Peripheral blood film.
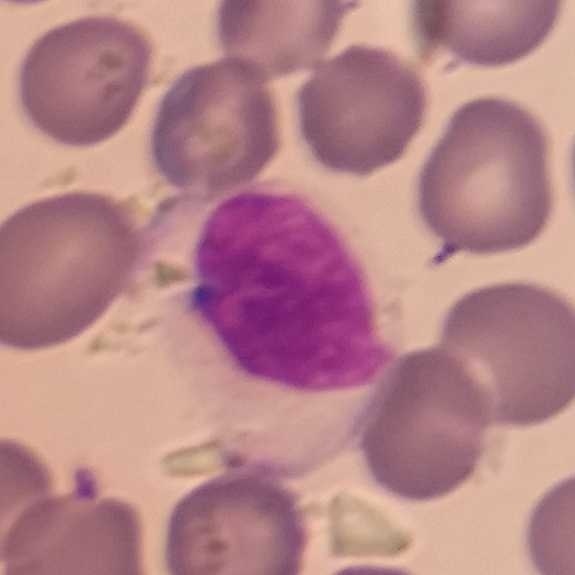
Q: What type of cell is this?
A: It is a lymphocyte.